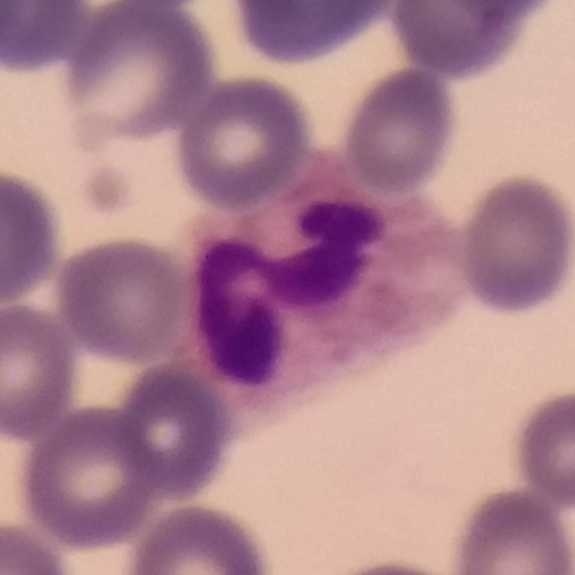
Identified as a neutrophil.